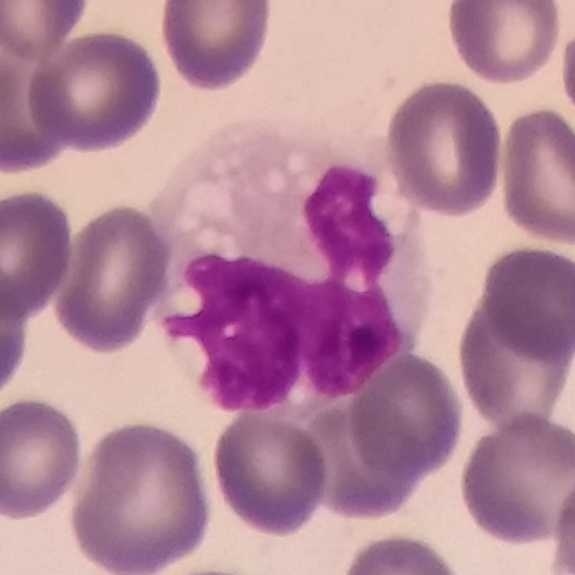 Impression → monocyte.
Peripheral blood film.